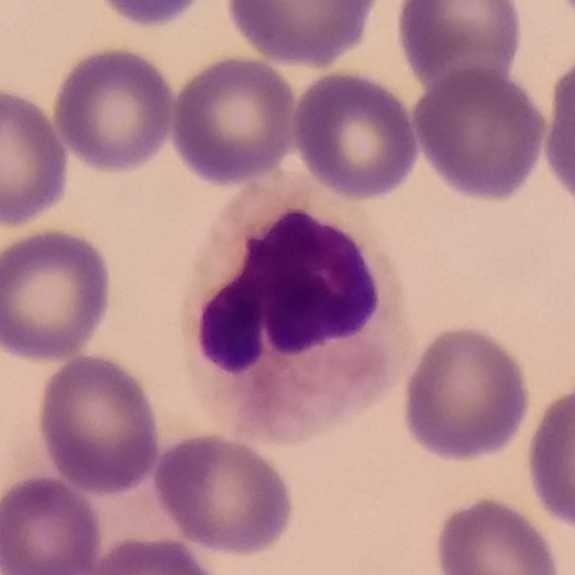

Morphology → neutrophil.